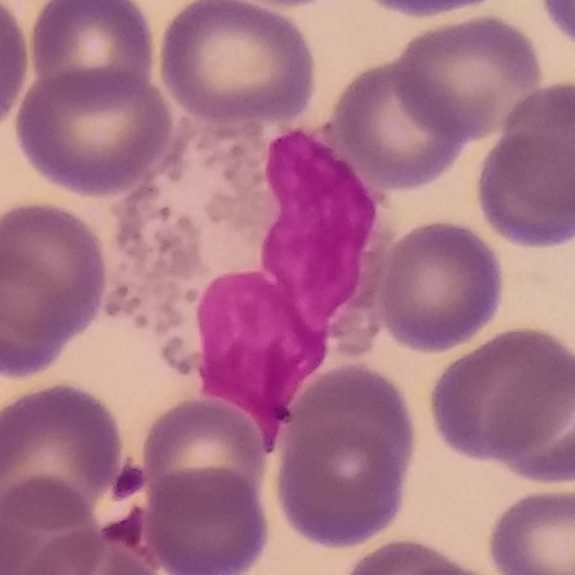Giemsa stain · magnification 100× · peripheral blood film.
Morphology → eosinophil.